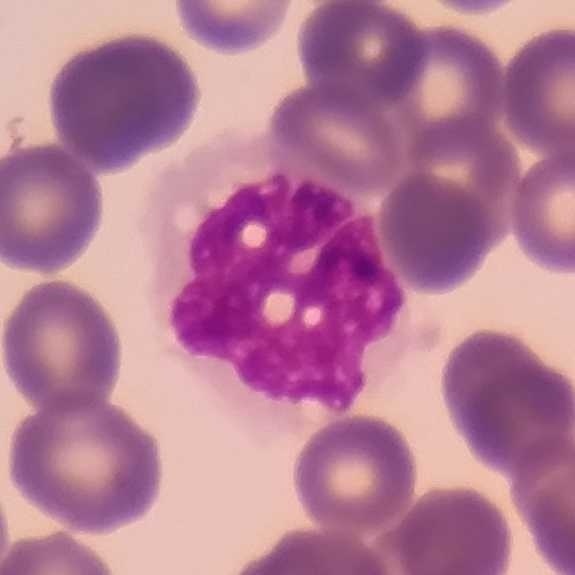{"cell_type": "monocyte"} Peripheral blood smear.